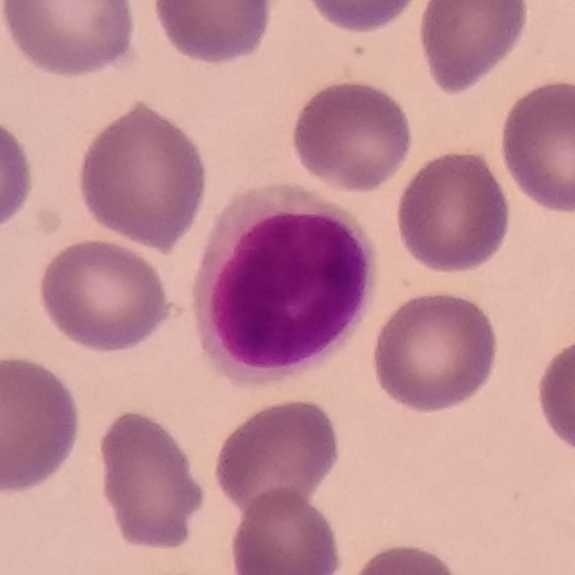
Preparation: Peripheral blood film.
The white blood cell type is lymphocyte.